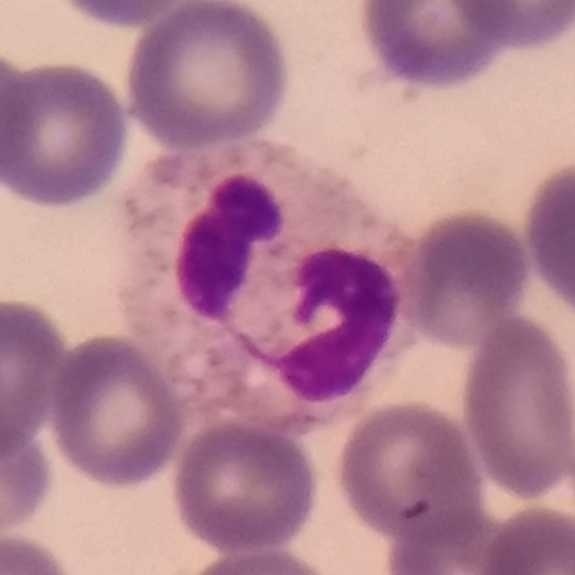
The white blood cell in this image is a neutrophil granulocyte.
Peripheral blood film.